Peripheral blood film — 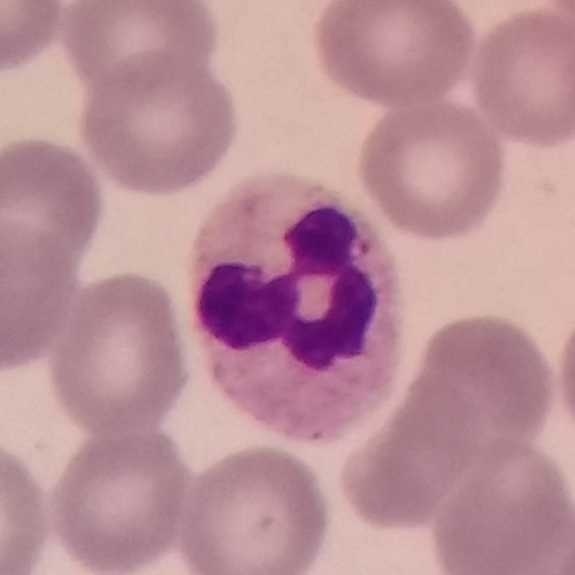 Q: What cell is this?
A: A neutrophil.